Peripheral blood smear
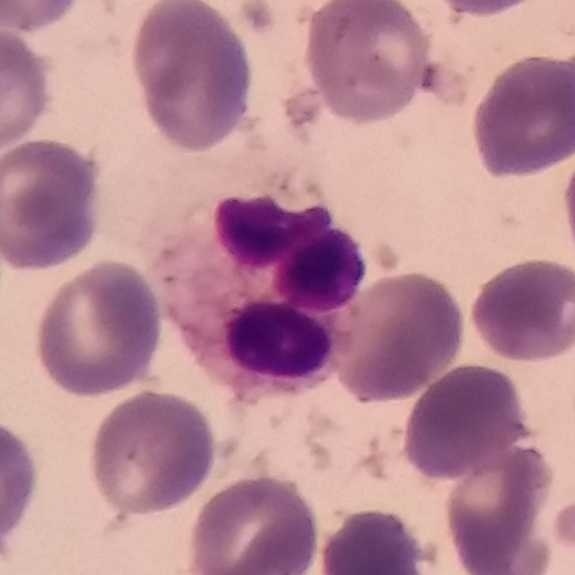
Impression → neutrophilic granulocyte.